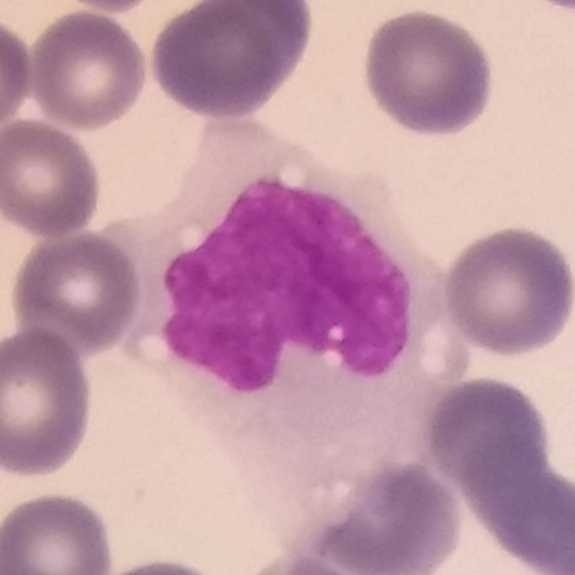
Morphology consistent with a monocyte. Cropped to one leukocyte. Peripheral blood smear.